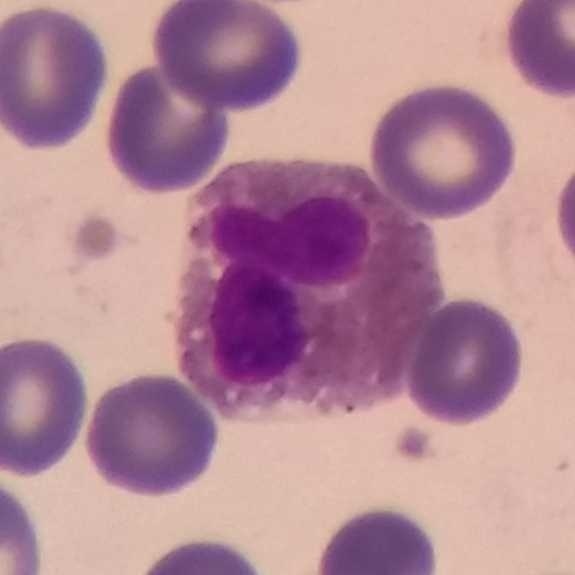The white blood cell type is eosinophilic granulocyte. Context: Peripheral blood film.